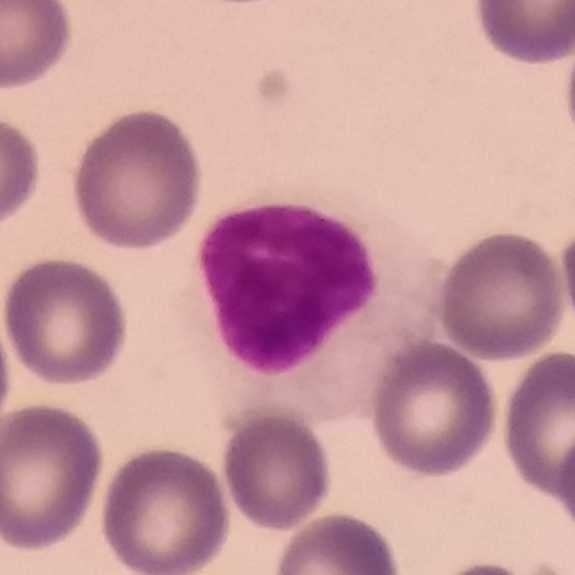 Cell = lymphocyte. Context: Peripheral blood film.